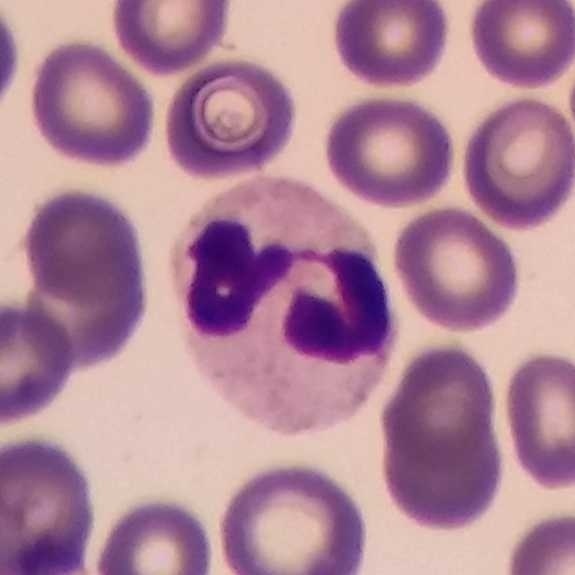Phone-camera image taken through the microscope ocular. Peripheral blood film. The classification is neutrophil granulocyte.